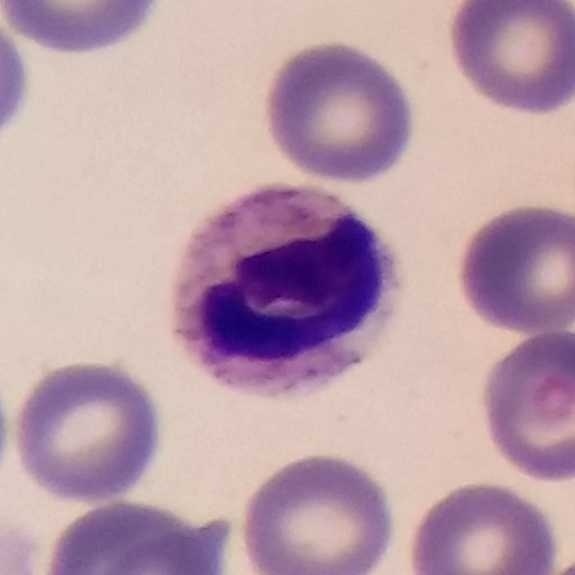 This is a neutrophil granulocyte. Image: Peripheral blood smear; single-cell crop.